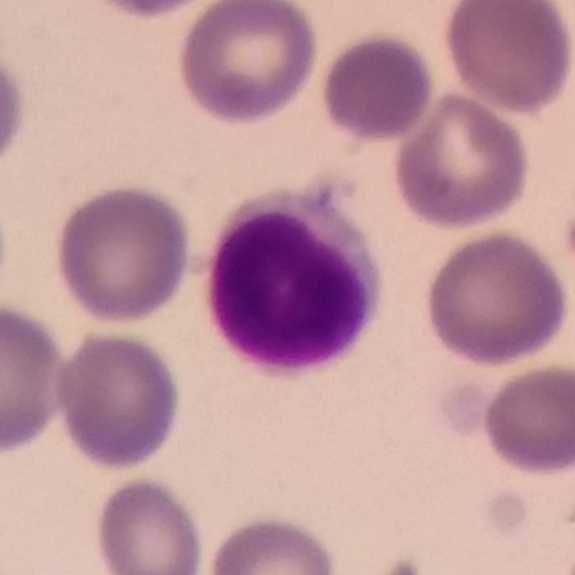

Specimen: peripheral blood film.
Classification: lymphocyte.